Peripheral blood smear; smartphone camera mounted on the microscope eyepiece — 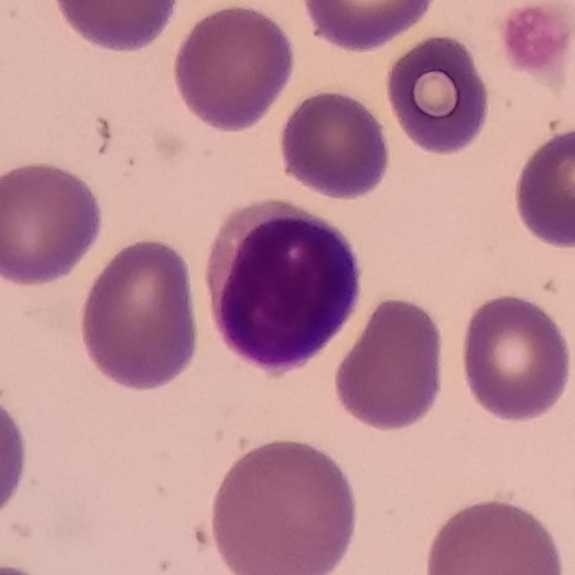

Q: Identify the cell.
A: A lymphocyte.